Peripheral blood film.
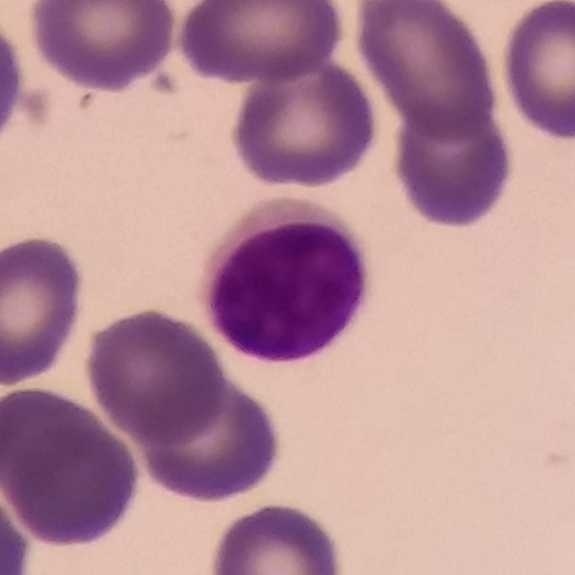Morphology consistent with a lymphocyte.